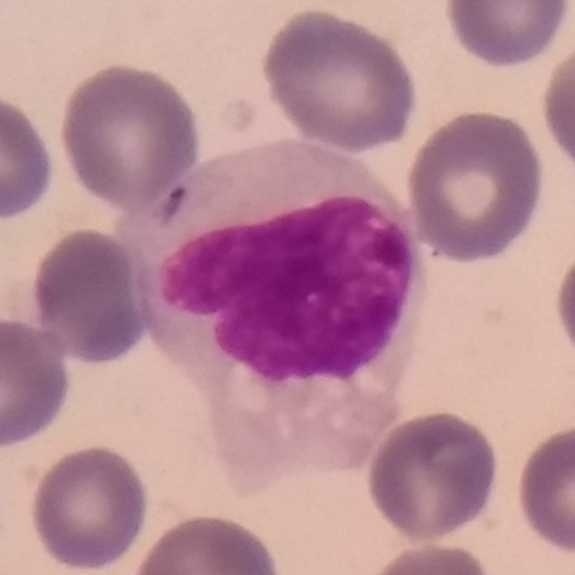
Peripheral blood smear showing a monocyte.